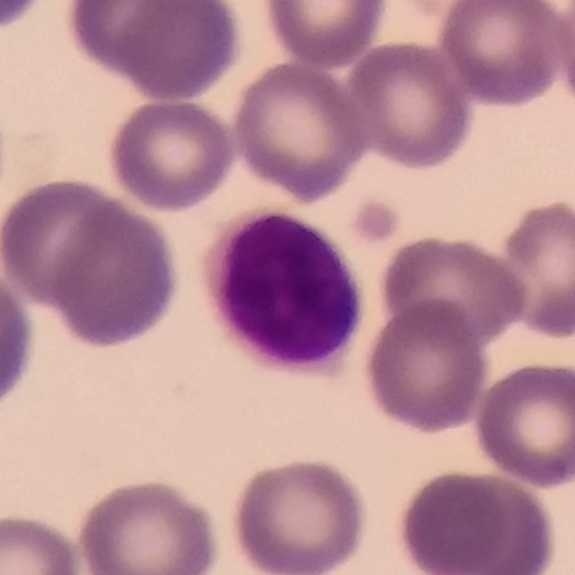

The white blood cell in this image is a lymphocyte.